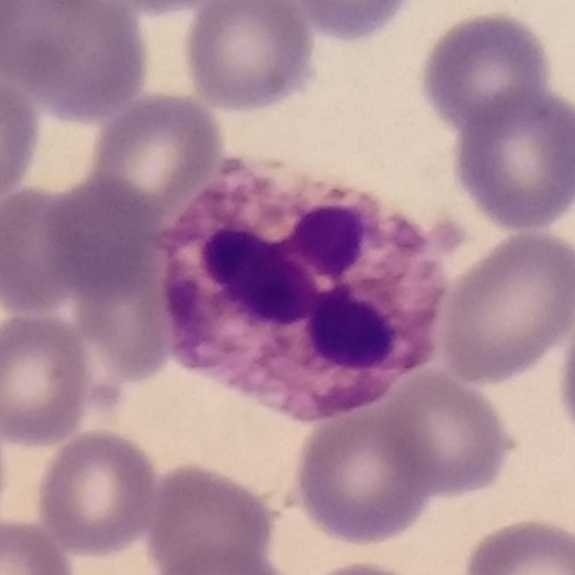 Preparation: Peripheral blood film · photographed through a light microscope with a smartphone camera.

Single cell identified as a neutrophil granulocyte.